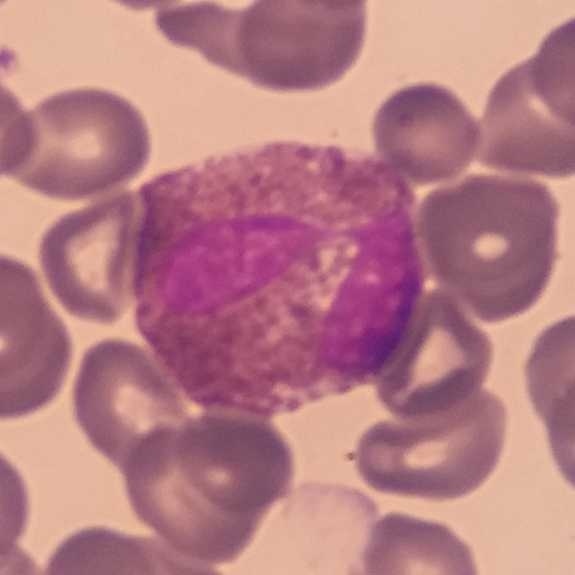Peripheral blood film; 575 by 575 pixels; phone-camera image taken through the microscope ocular.

White blood cell type = eosinophilic granulocyte.